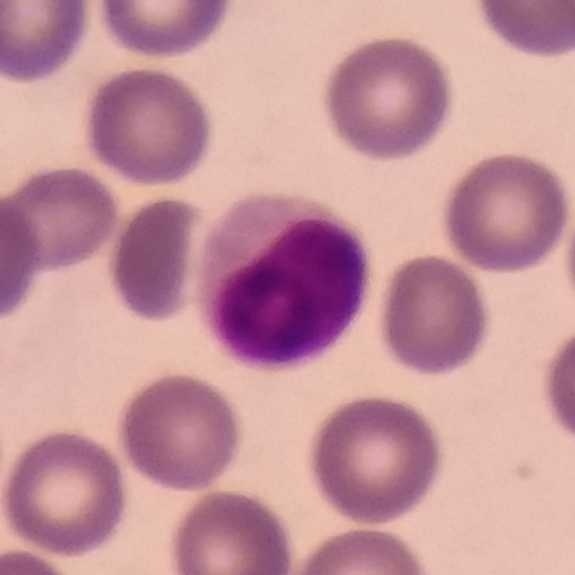
White blood cell from a peripheral blood smear: lymphocyte.